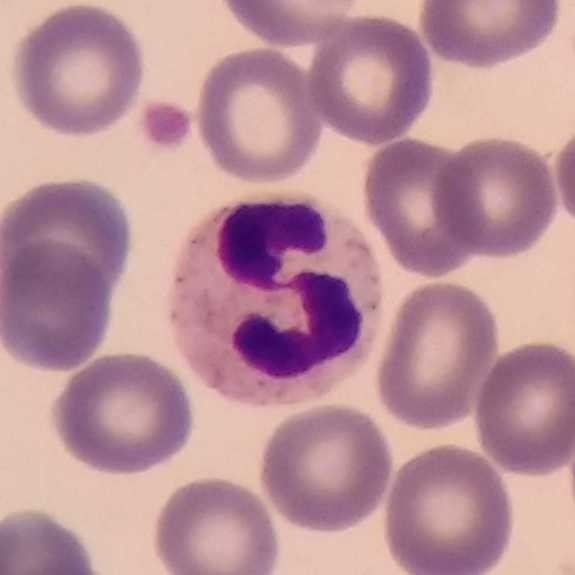
Classification = neutrophilic granulocyte.